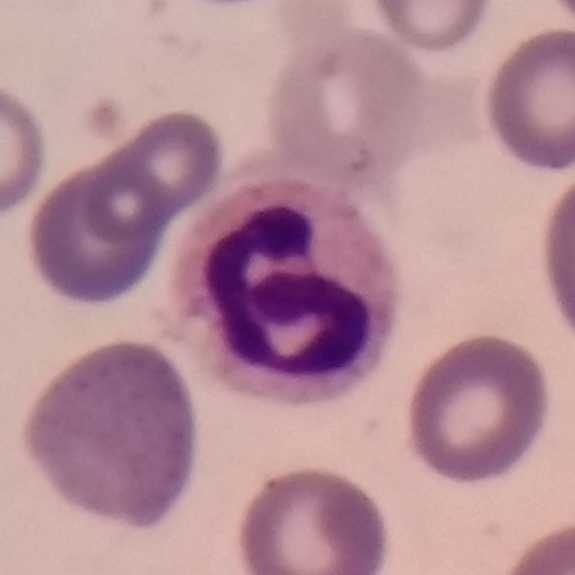 Impression → neutrophil. Peripheral blood smear.